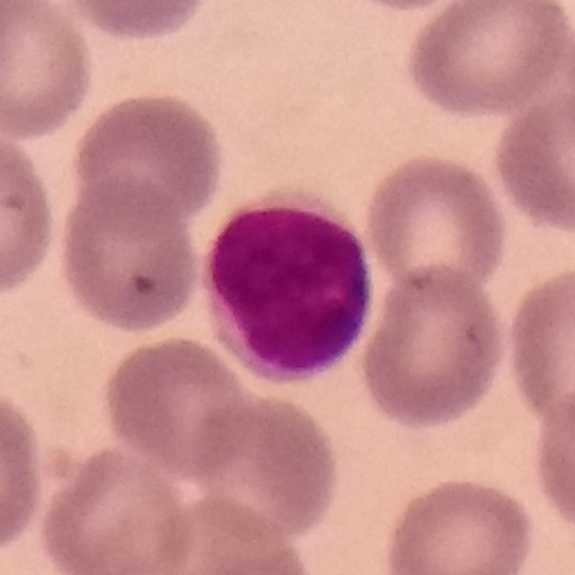

The white blood cell type is lymphocyte.